Peripheral blood smear.
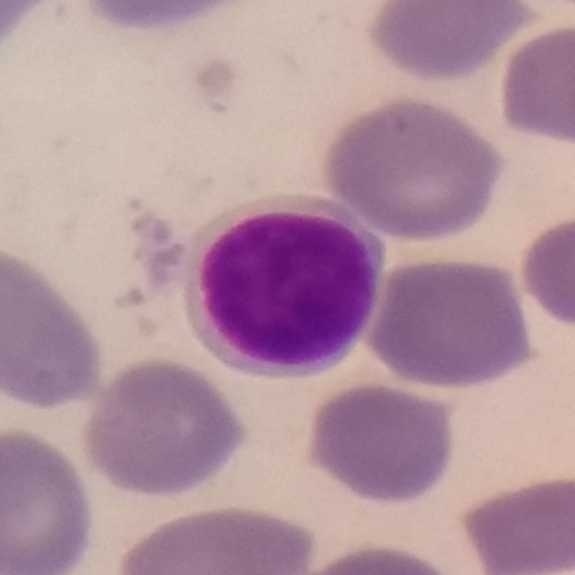
Q: Classify this leukocyte.
A: Lymphocyte.